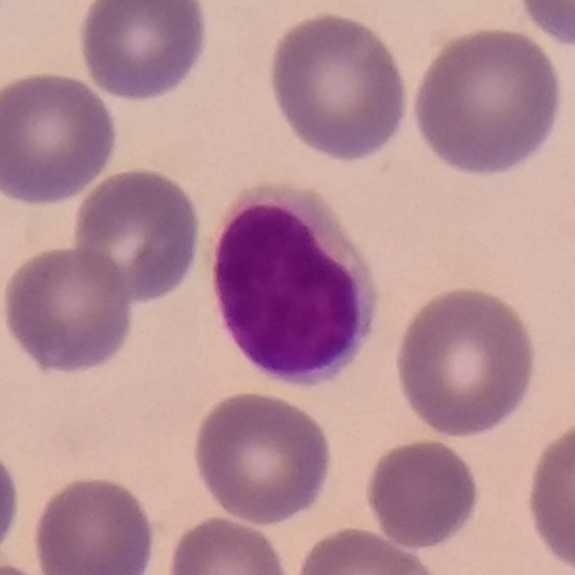
White blood cell type — lymphocyte.